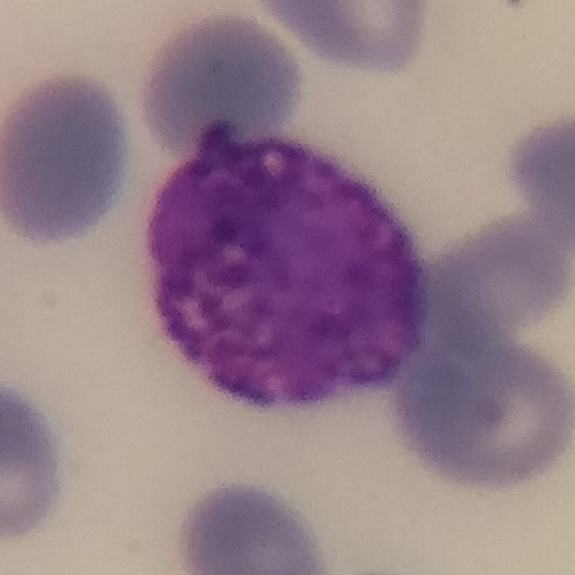 Q: What is this?
A: This is a basophil.

Image: Imaged at 100×. Peripheral blood film. Image size 575×575.